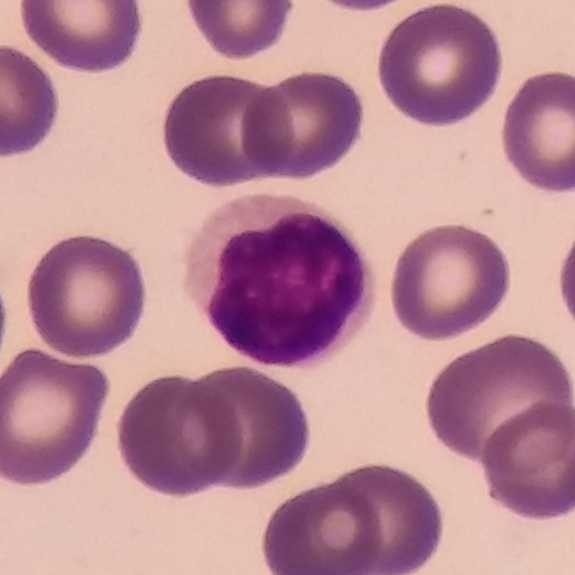 White blood cell type — lymphocyte.